Peripheral blood smear; smartphone photomicrograph
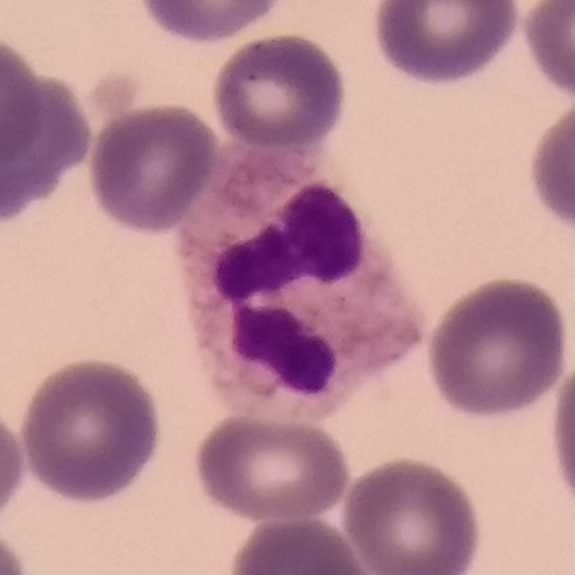Showing a neutrophil granulocyte.